Peripheral blood film
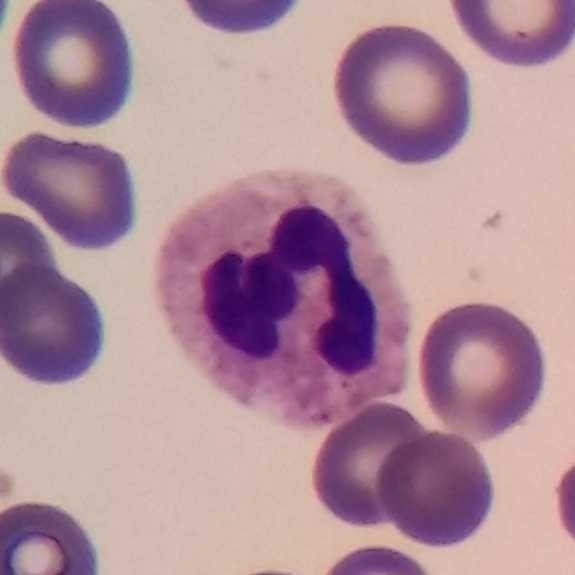

Specimen: peripheral blood film.
Morphological class: neutrophil granulocyte.
Lineage: myeloid.